Smartphone photomicrograph; 575×575; peripheral blood smear
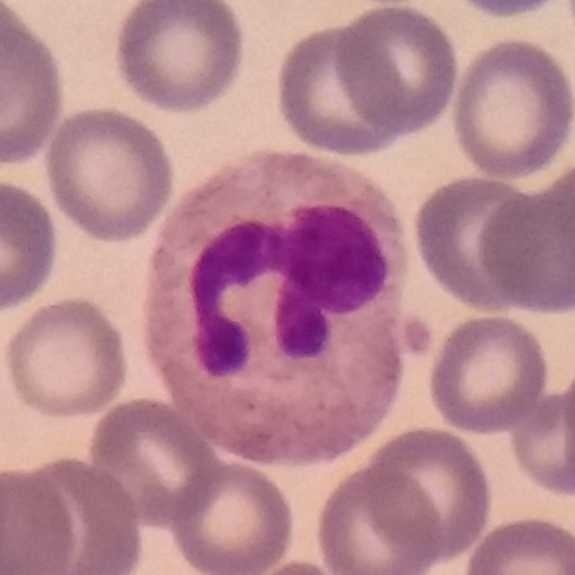 The cell shown is a neutrophil.